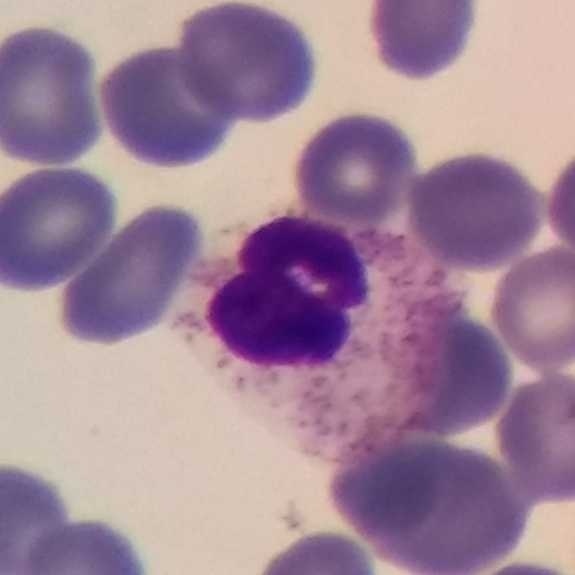
575×575 px; peripheral blood smear.

Neutrophil.